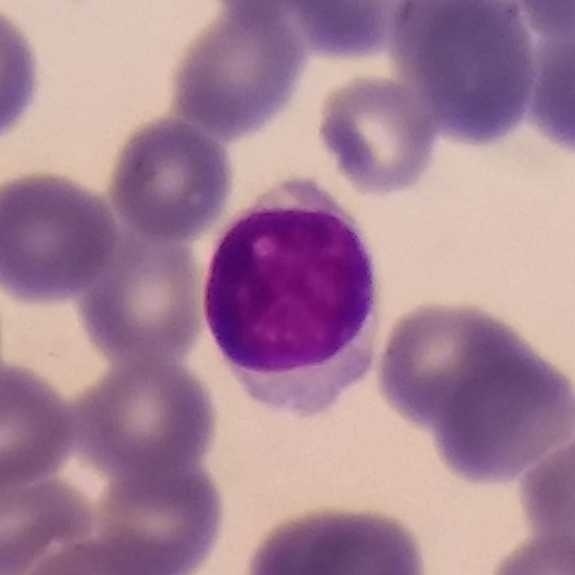
The white blood cell in this image is a lymphocyte.
Context: Peripheral blood film.